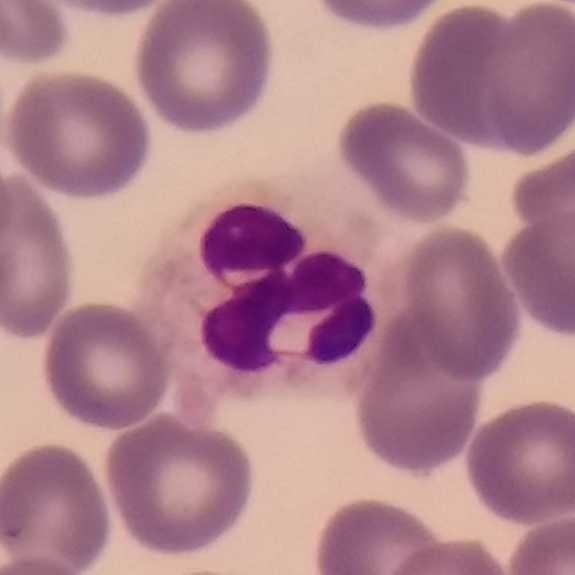Classification: neutrophilic granulocyte. Peripheral blood film; stained with Giemsa.